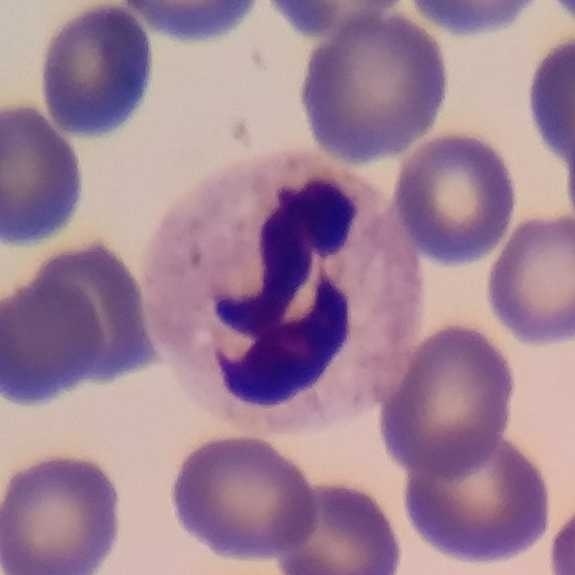 Morphology — neutrophilic granulocyte. Peripheral blood smear. Single-cell field.